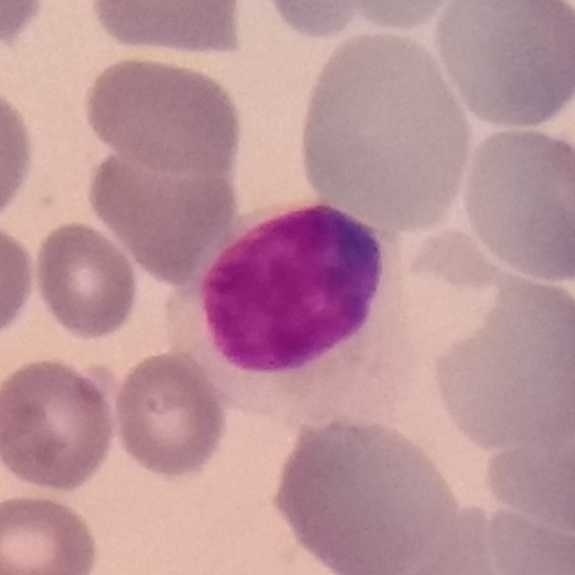 Identified as a lymphocyte.